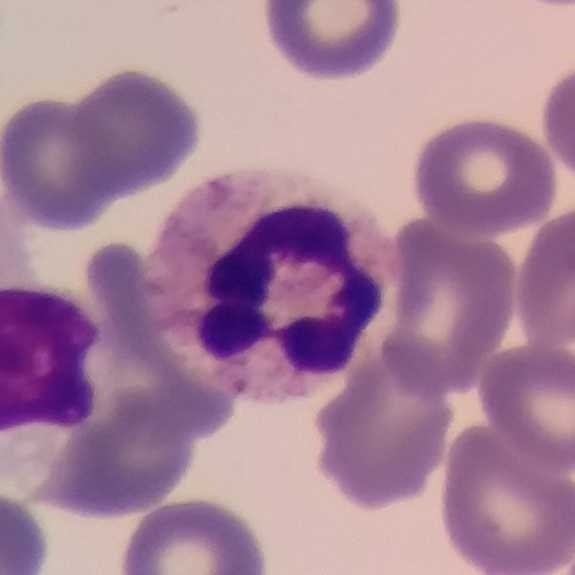 Specimen: peripheral blood smear.
Morphological class: neutrophil granulocyte.
Lineage: myeloid. Image: Giemsa stain.